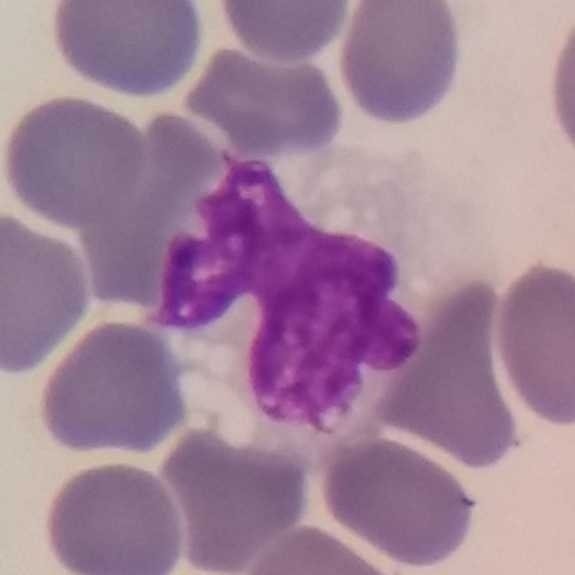 Q: Which cell type is shown here?
A: It is a monocyte.

Peripheral blood smear.